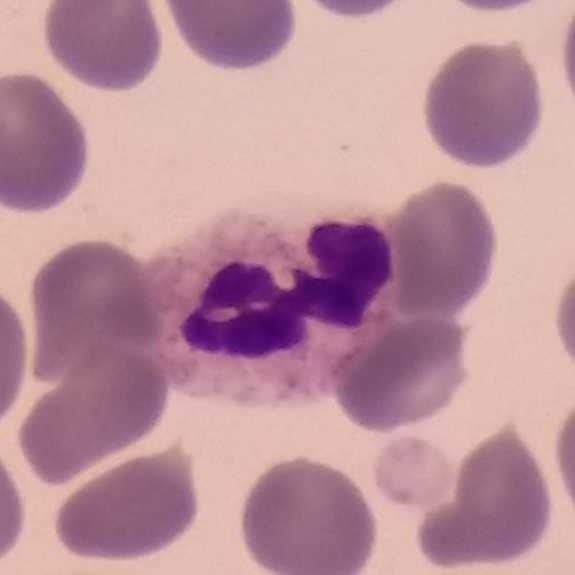
Specimen: peripheral blood smear.
Cell type: neutrophil granulocyte.
Lineage: myeloid.